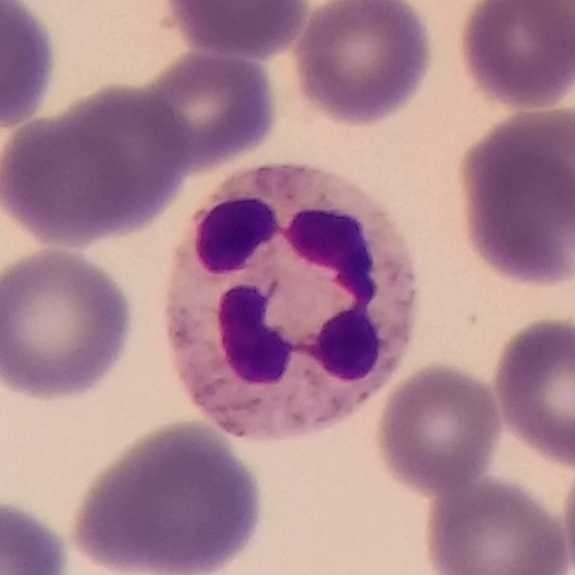The white blood cell in this image is a neutrophilic granulocyte.

Peripheral blood film.